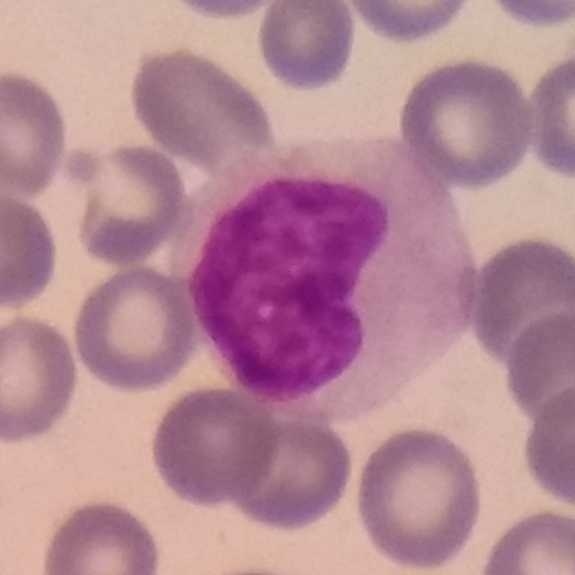This is a monocyte.
Image: 575×575 px · peripheral blood smear · single-cell crop.